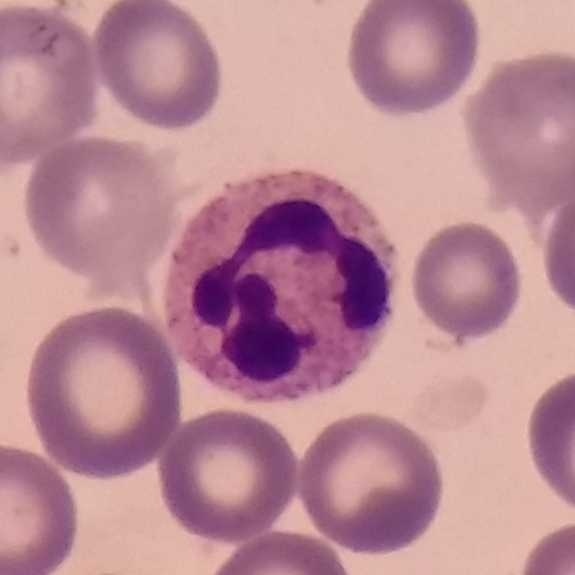{"cell_type": "neutrophil granulocyte", "lineage": "myeloid"} Peripheral blood smear. Single white blood cell cropped from the smear photograph. 100× magnification.